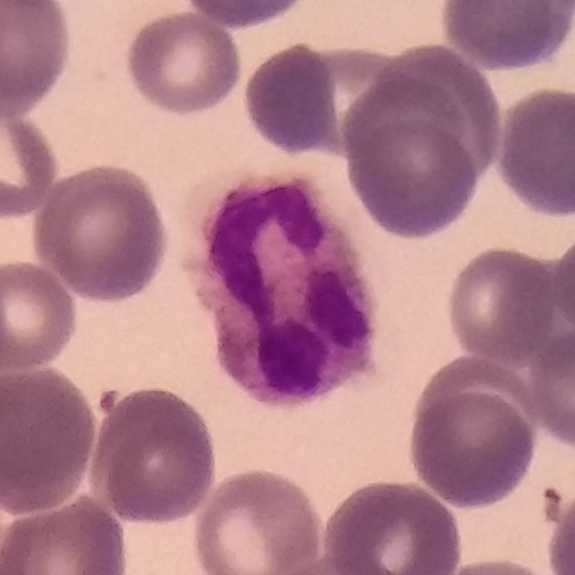

Specimen: peripheral blood smear.
Cell: neutrophil granulocyte.
Lineage: myeloid. Preparation: Imaged at 100×.